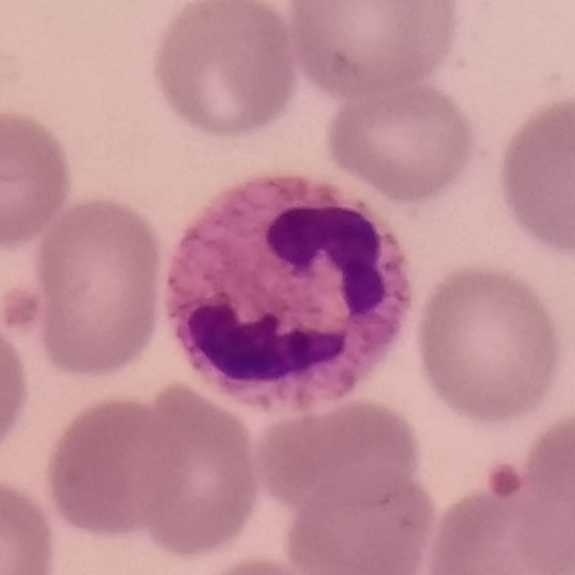
Identified as a neutrophil granulocyte.

Context: Peripheral blood smear.